Giemsa-stained. Peripheral blood smear. 575 by 575 pixels: 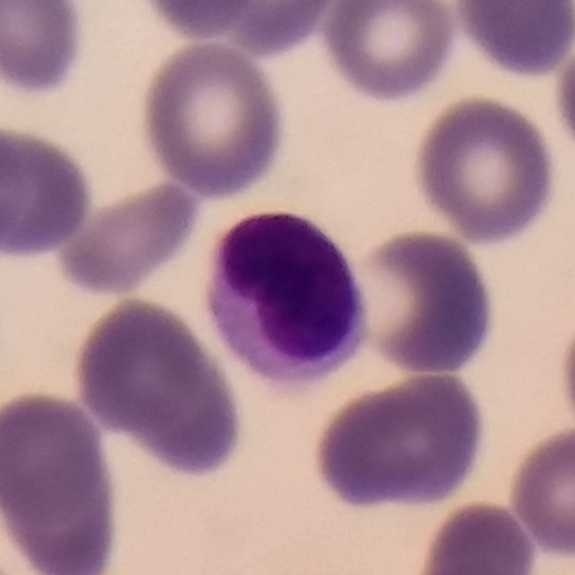
The classification is lymphocyte.